Peripheral blood smear; 100× magnification; phone-camera image taken through the microscope ocular: 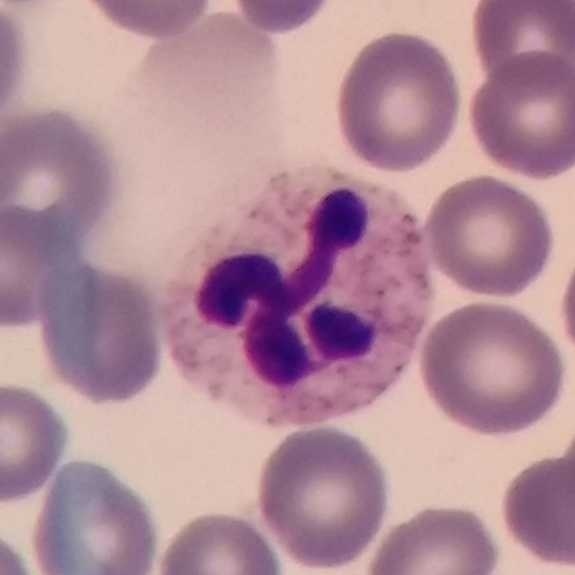A neutrophil granulocyte.